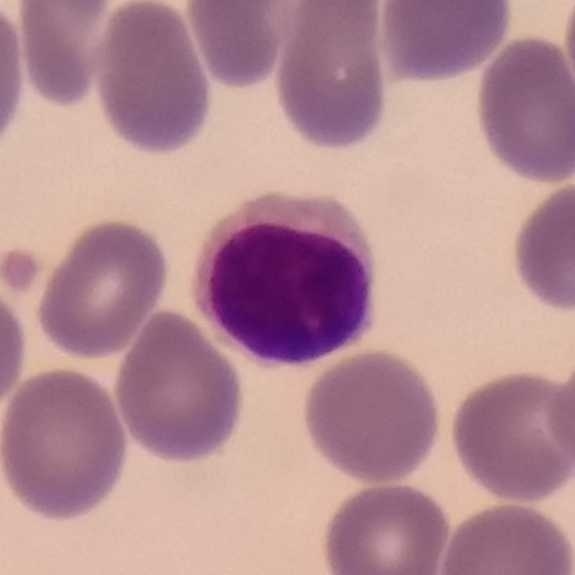 Acquisition: Peripheral blood film. Morphology consistent with a lymphocyte.